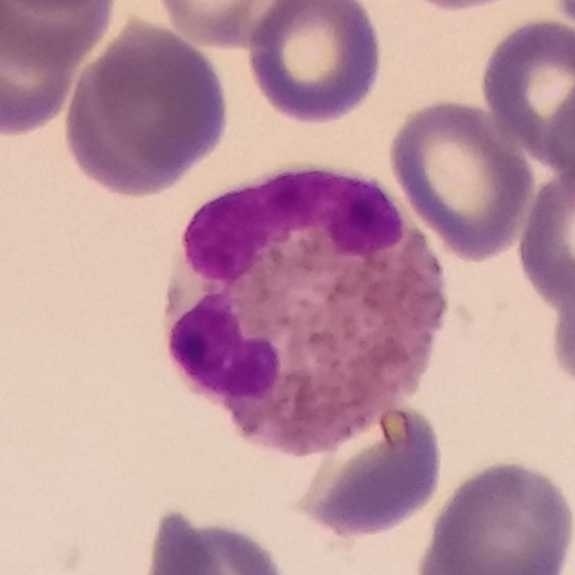 The white blood cell in this image is an eosinophil. Peripheral blood film.